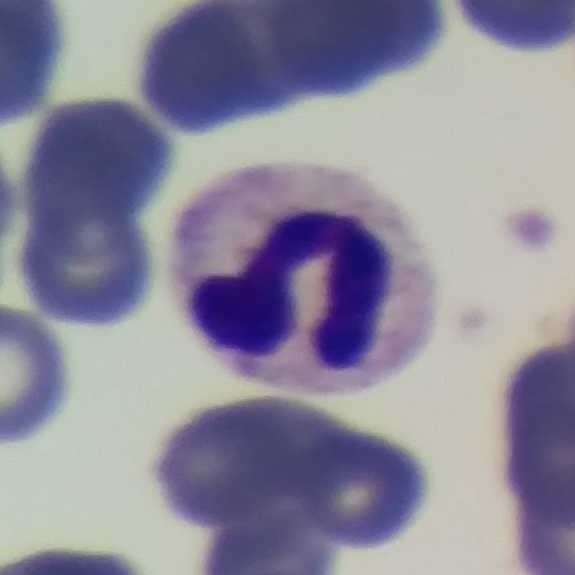The cell is neutrophil. Context: Peripheral blood film. 100× magnification.